Peripheral blood smear:
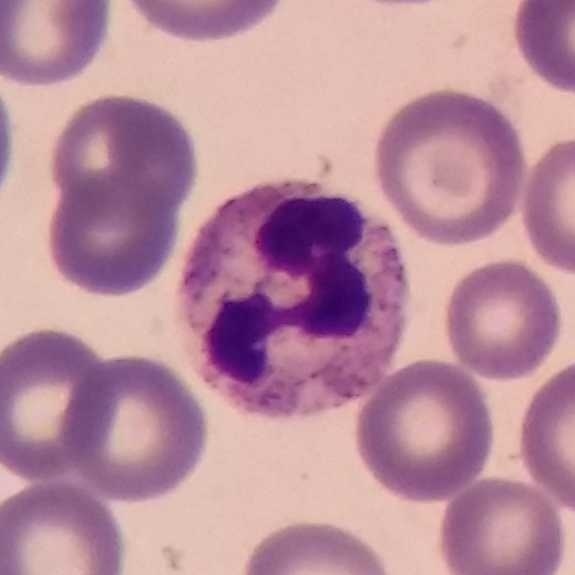
Showing a neutrophil.